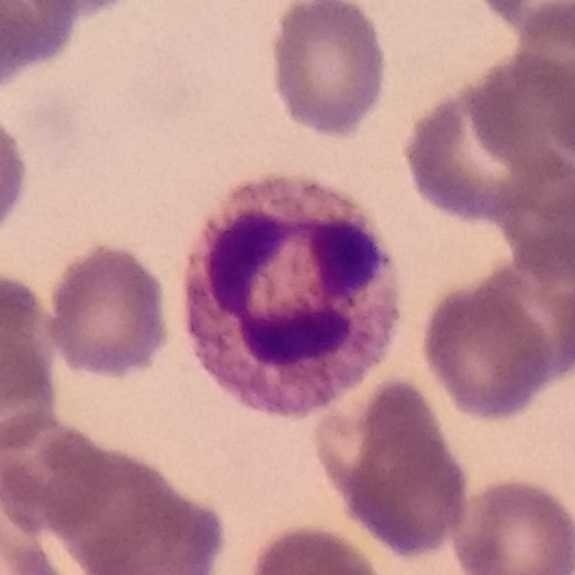 The cell shown is a neutrophil granulocyte.
Image: Peripheral blood smear · stained with Giemsa · single-cell crop.